Phone-camera image taken through the microscope ocular · imaged at 100× · peripheral blood smear:
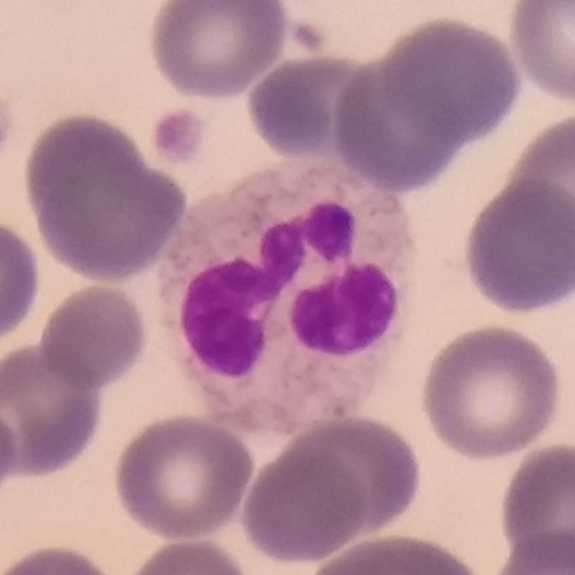
{"cell_type": "neutrophil"}